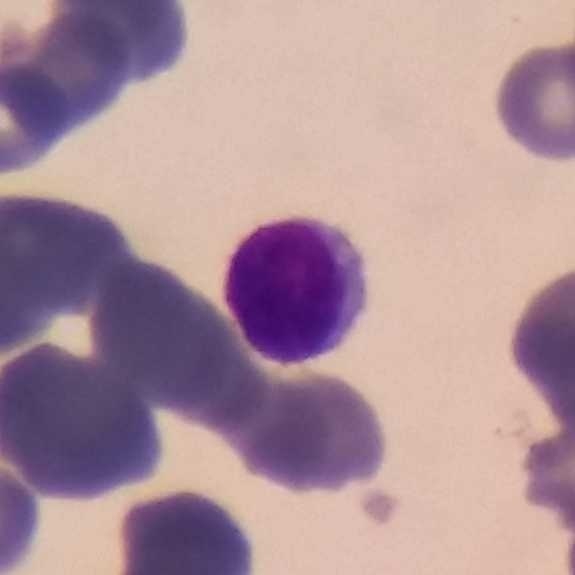 Image: 575×575; peripheral blood film. The cell type is lymphocyte.